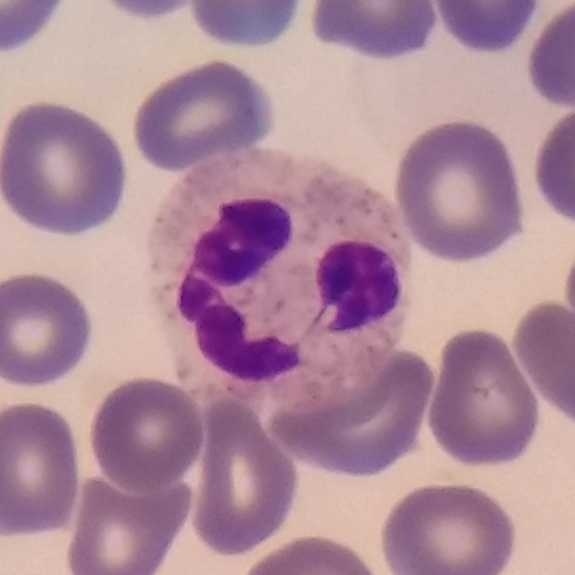

{"cell_type": "neutrophil granulocyte", "lineage": "myeloid"}